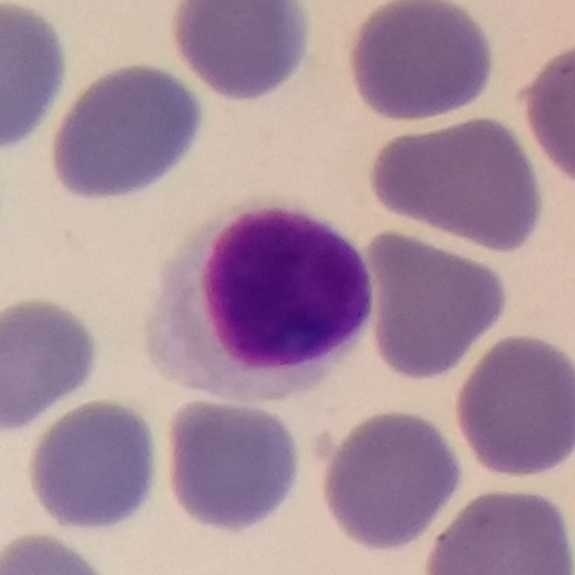Single cell identified as a lymphocyte.